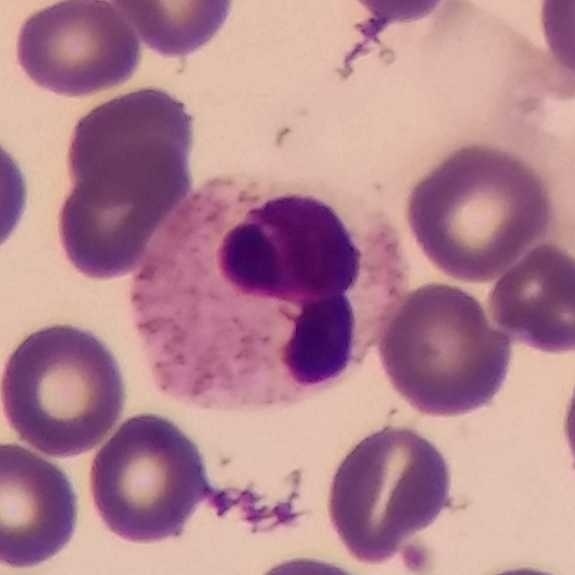

White blood cell type — neutrophil granulocyte. Image: Peripheral blood smear.